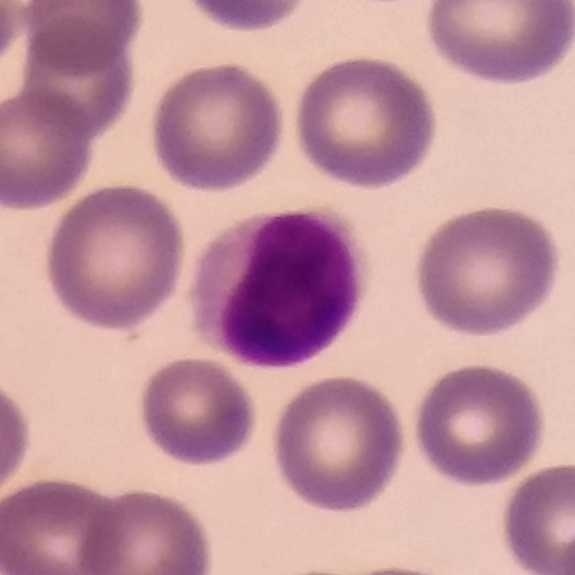Specimen: peripheral blood smear.
Classification: lymphocyte.
Lineage: lymphoid.